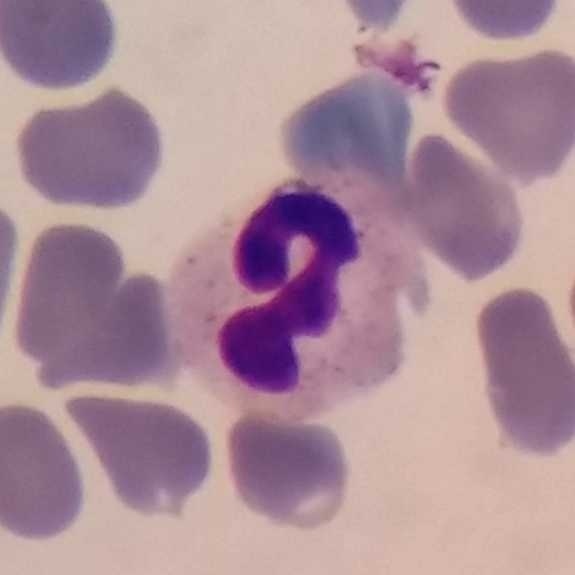 Q: Identify the cell.
A: This is a neutrophilic granulocyte.

Peripheral blood smear.